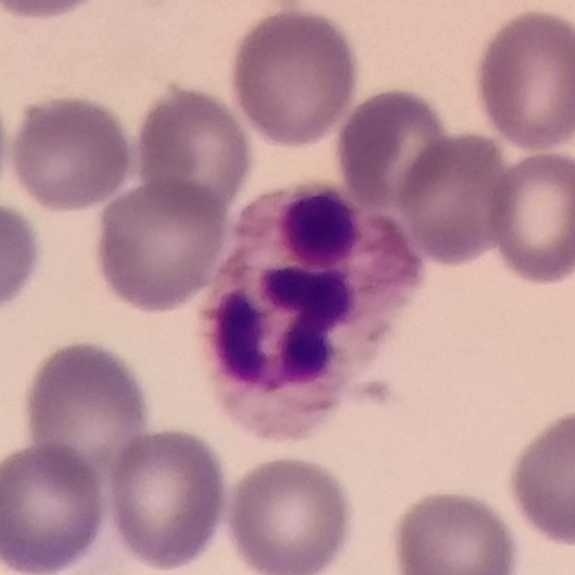 Cell: neutrophil.